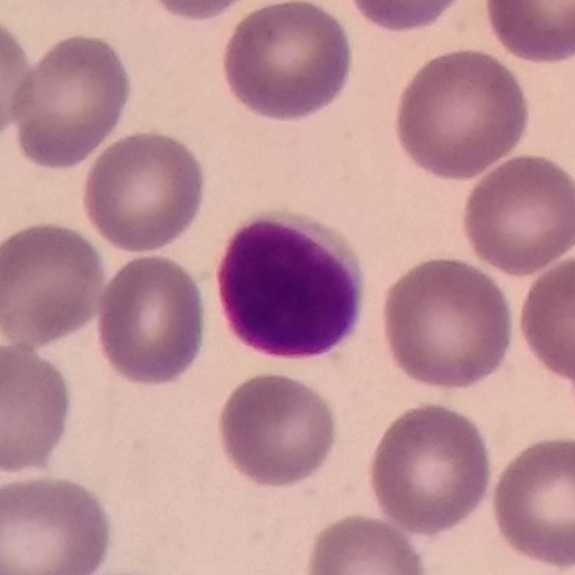
Cell — lymphocyte. Context: Imaged at 100× · peripheral blood film.